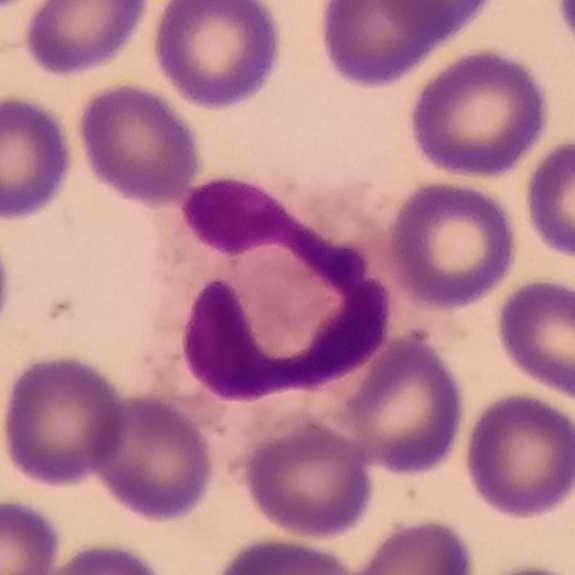
Acquisition: Single-cell field. Specimen: peripheral blood film.
Morphological class: neutrophilic granulocyte.
Lineage: myeloid.